Peripheral blood smear
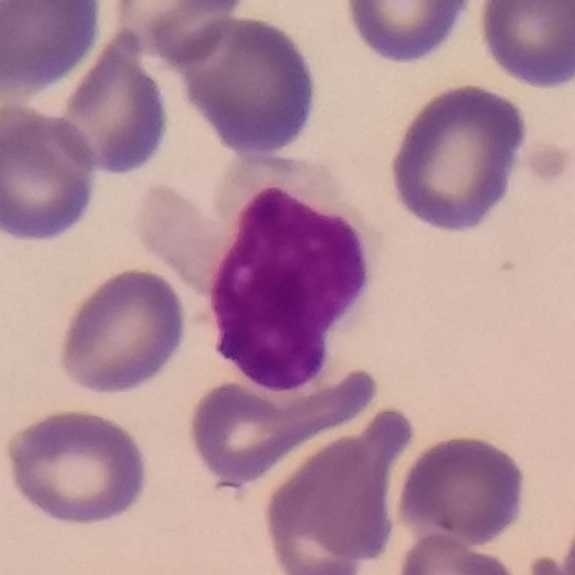
The white blood cell in this image is a lymphocyte.